Peripheral blood smear · Giemsa-stained.
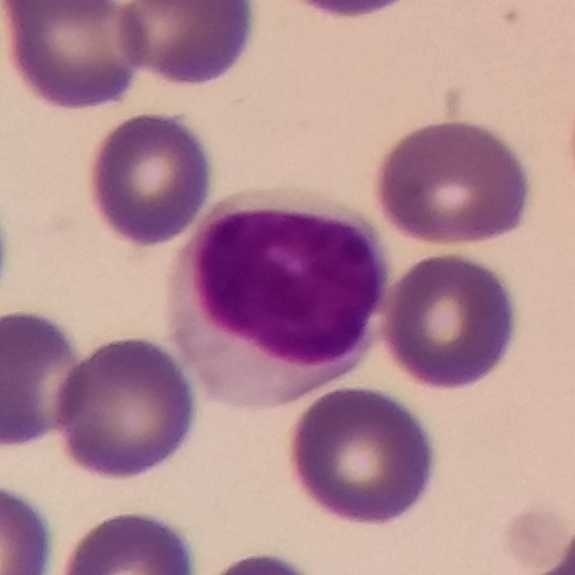Specimen: peripheral blood smear.
Cell: lymphocyte.
Lineage: lymphoid.